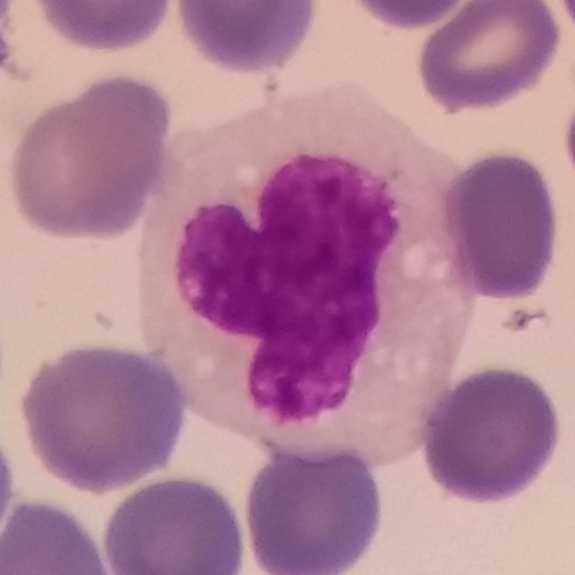 Peripheral blood film.
Monocyte.